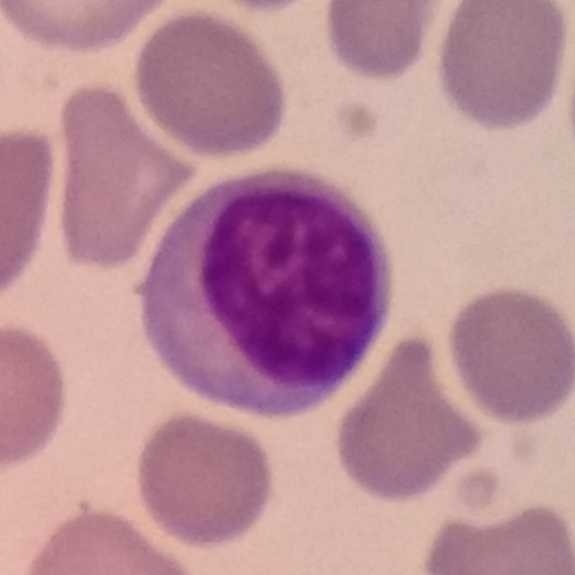

Peripheral blood smear. Morphology consistent with a lymphocyte.